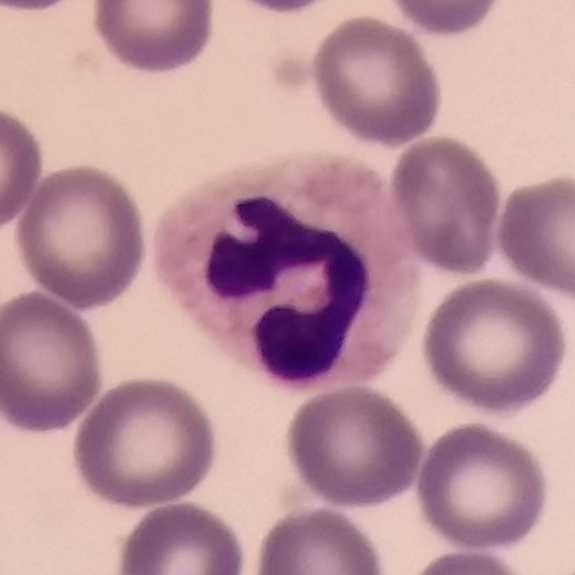
Morphological class — neutrophil granulocyte.

Context: Peripheral blood smear.